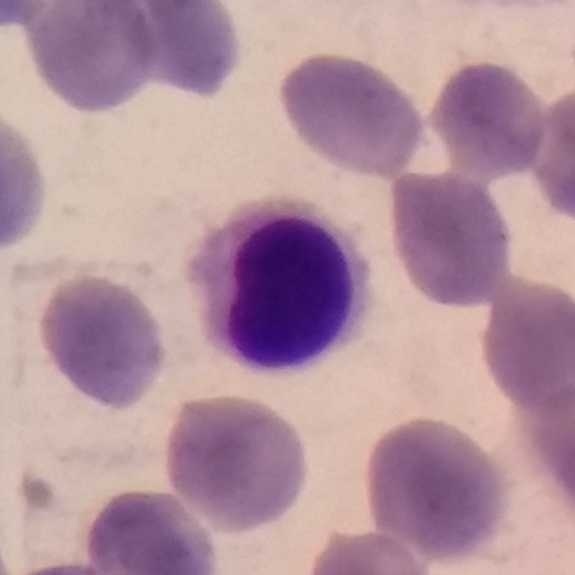
Q: What type of cell is this?
A: A lymphocyte.